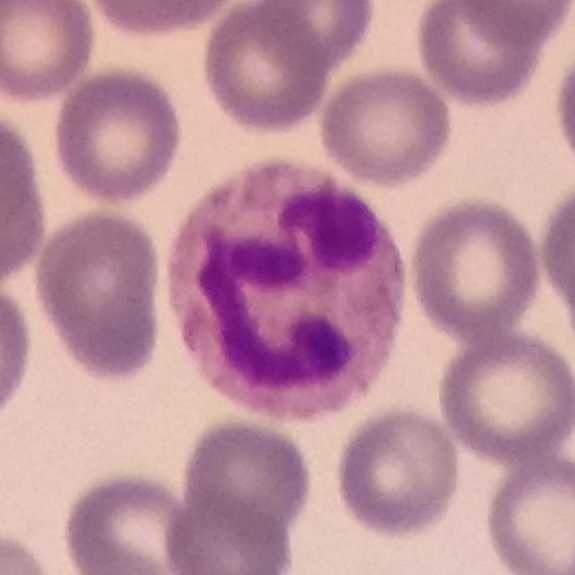

Peripheral blood film.

Single cell identified as a neutrophilic granulocyte.